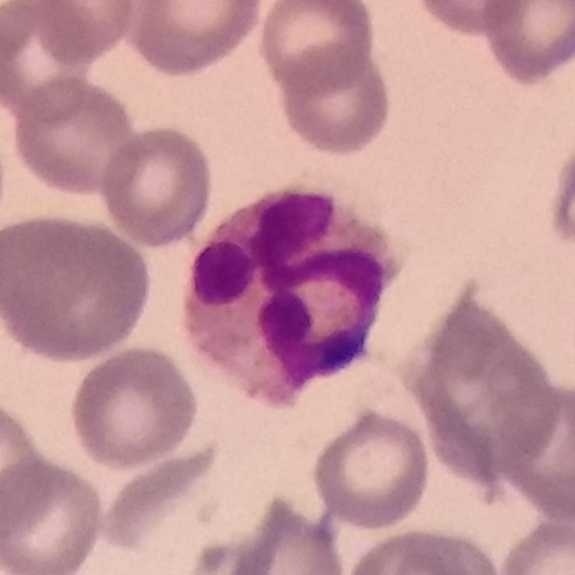 The morphological class is neutrophilic granulocyte.